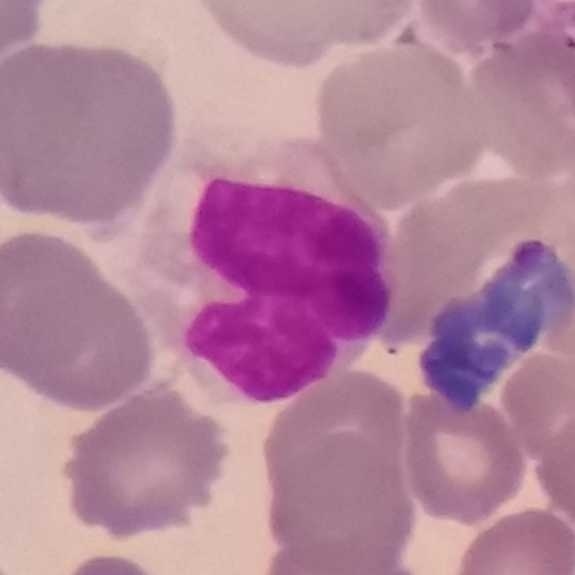

Q: Which cell type is shown here?
A: Monocyte.
Peripheral blood film.